Peripheral blood film — 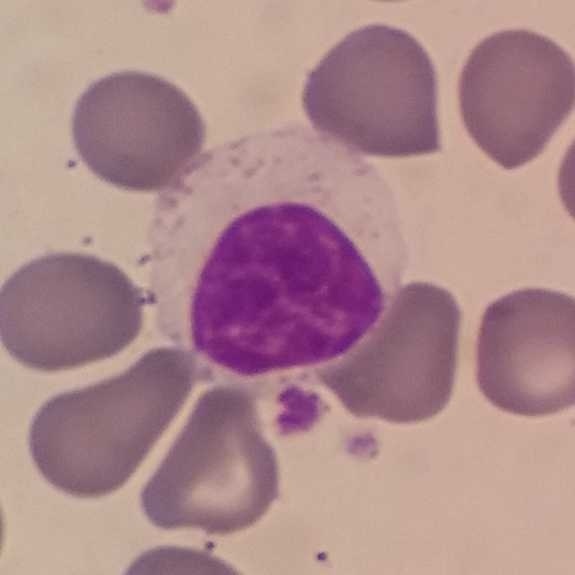Q: Which type of white blood cell is this?
A: This is a lymphocyte.